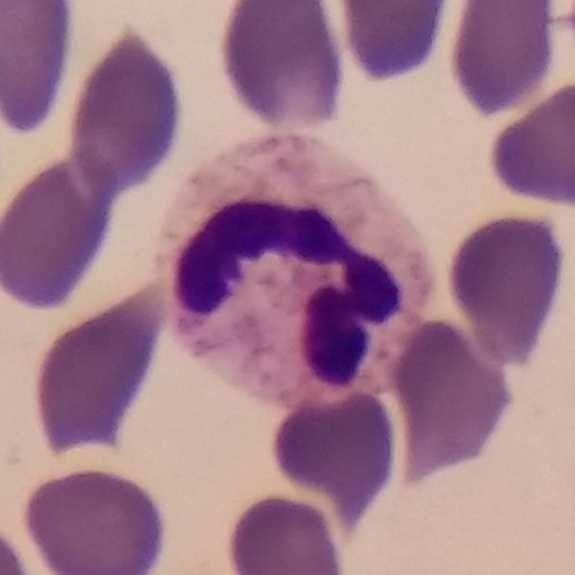 Single cell identified as a neutrophil granulocyte.
Preparation: Smartphone camera mounted on the microscope eyepiece; peripheral blood film; stained with Giemsa.